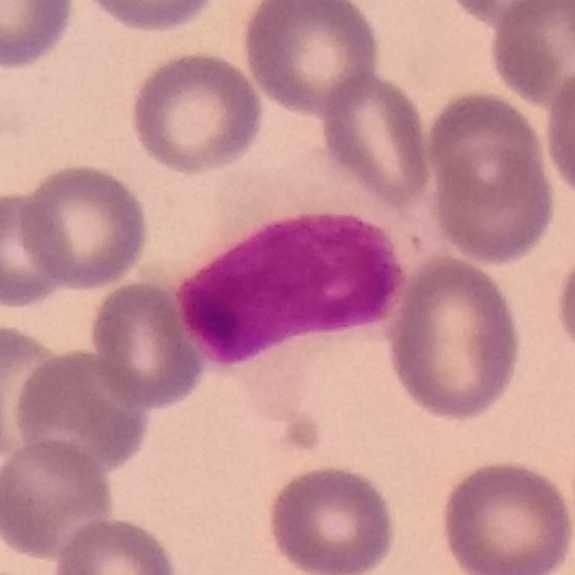Specimen: peripheral blood film.
Cell type: lymphocyte.